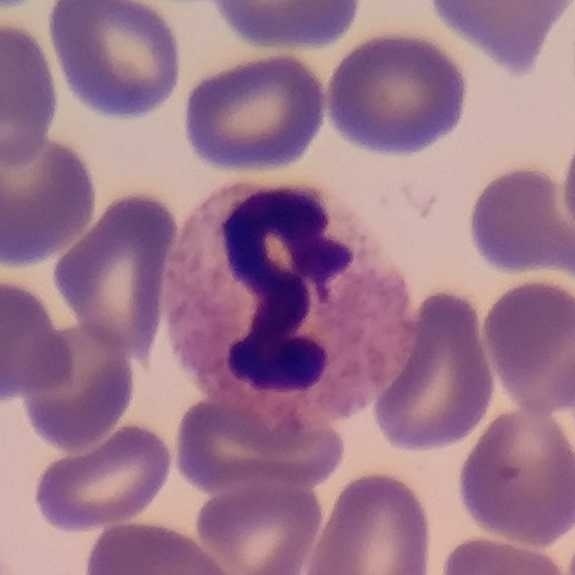
Specimen: peripheral blood film.
Morphological class: neutrophil granulocyte.
Lineage: myeloid.